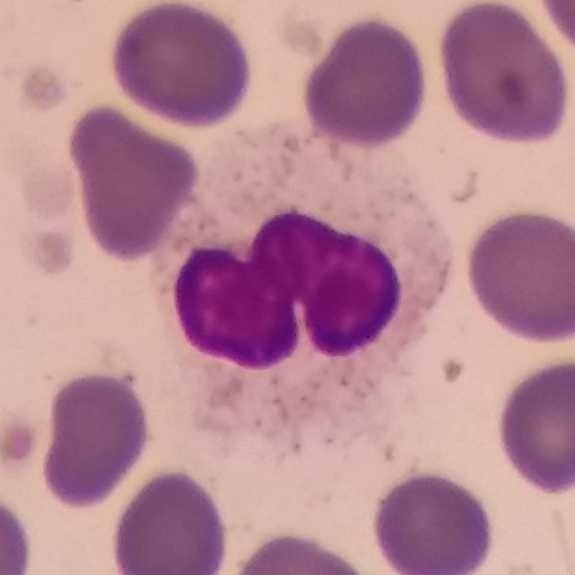
Specimen: peripheral blood smear.
Classification: neutrophilic granulocyte.
Lineage: myeloid.